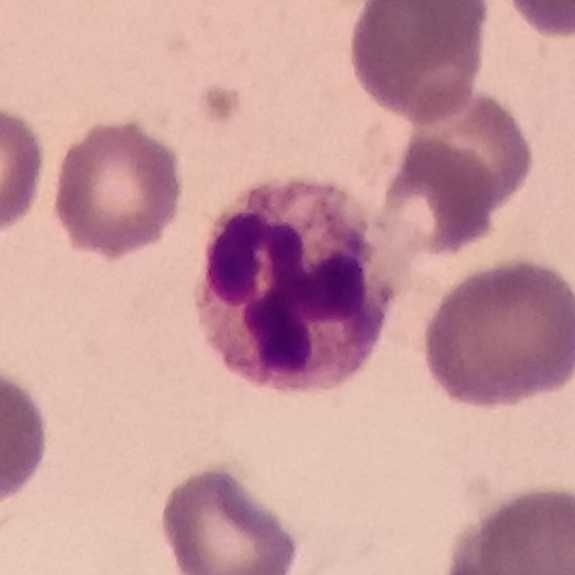

Q: What is this?
A: This is a neutrophil.